Peripheral blood smear — 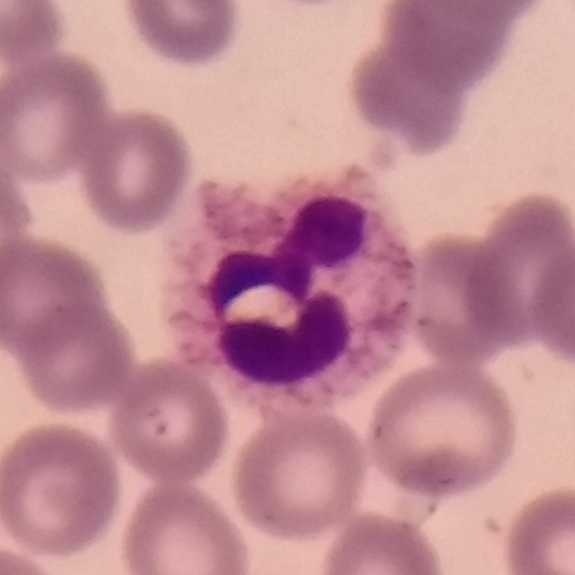
Q: What type of cell is this?
A: It is a neutrophil.